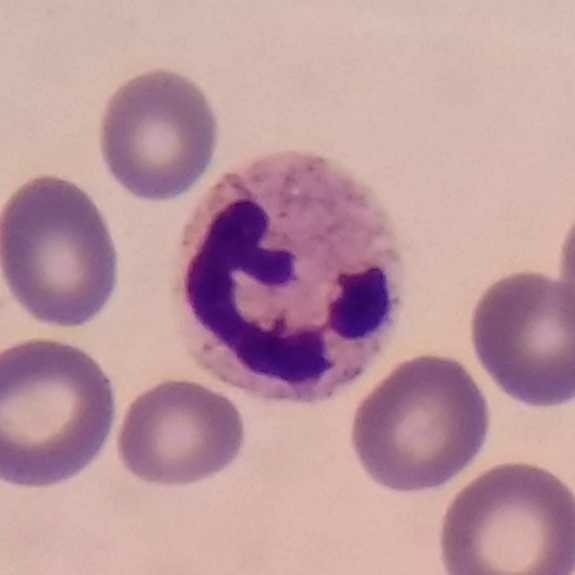
{"cell_type": "neutrophil granulocyte", "lineage": "myeloid"}

Peripheral blood smear; phone-camera image taken through the microscope ocular.